Peripheral blood smear. Giemsa stain
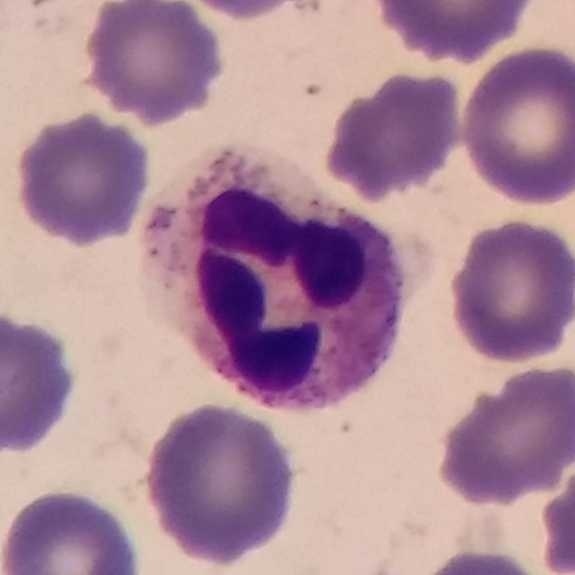 Impression → neutrophilic granulocyte.